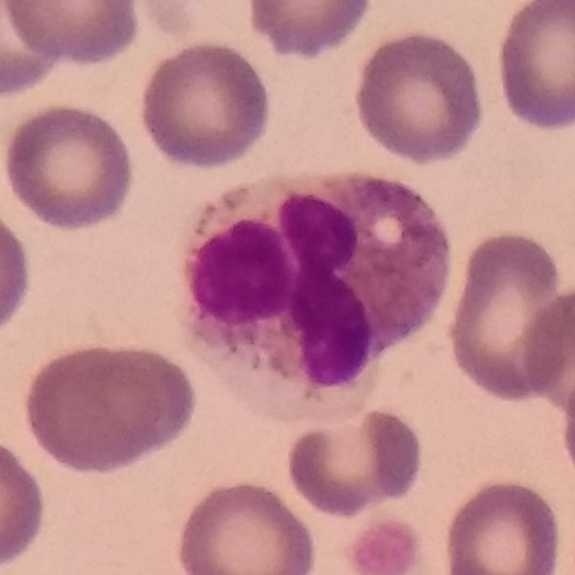
Context: Peripheral blood smear.

Cell: neutrophilic granulocyte.